Peripheral blood smear. Magnification 100×:
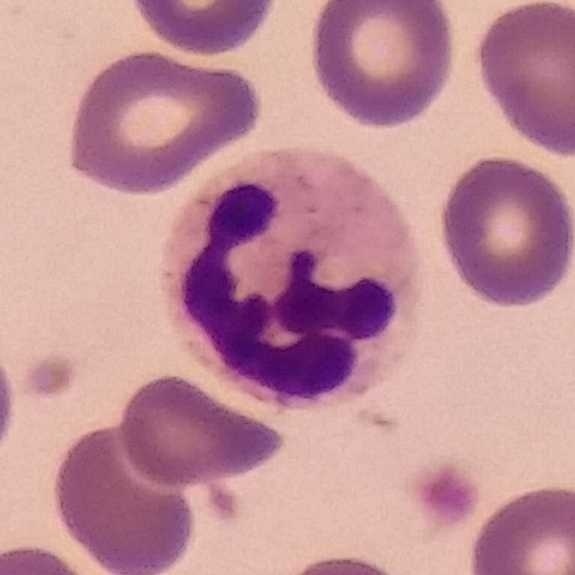 The white blood cell in this image is a neutrophil granulocyte.